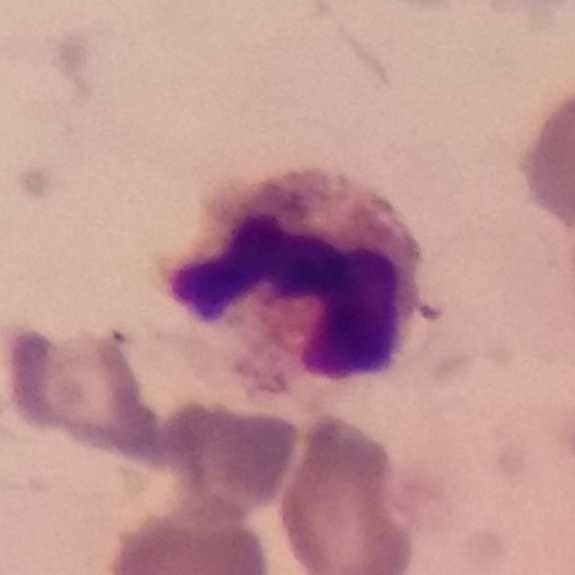 Single cell identified as a neutrophil granulocyte.

Acquisition: Peripheral blood smear.